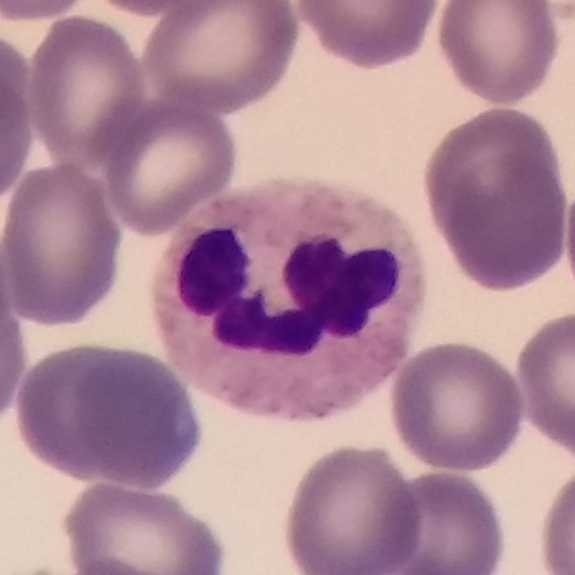
Peripheral blood smear.

Q: Classify this leukocyte.
A: A neutrophil granulocyte.